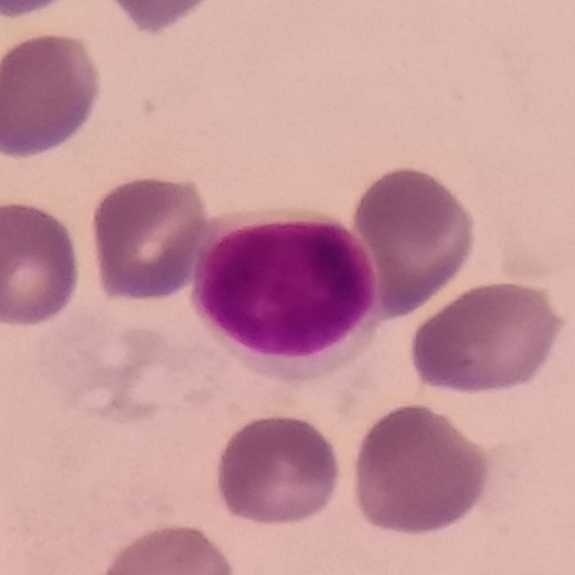Impression → lymphocyte.